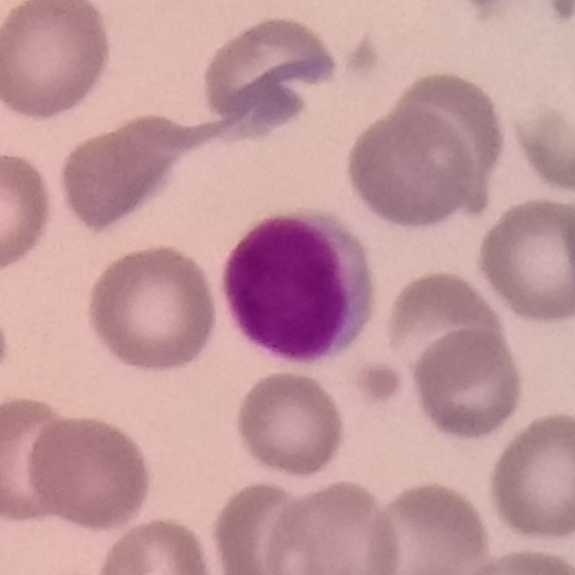Peripheral blood film. Cropped to one leukocyte.
Morphology consistent with a lymphocyte.